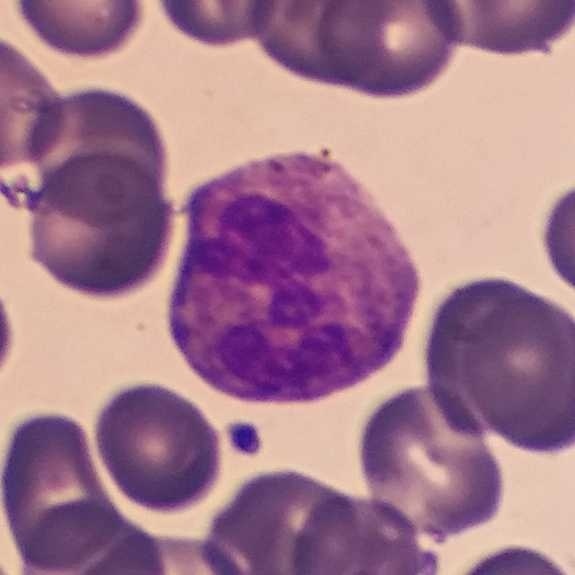The cell shown is a neutrophil. Context: Peripheral blood film.